Image size 575×575 · single white blood cell cropped from the smear photograph · peripheral blood film: 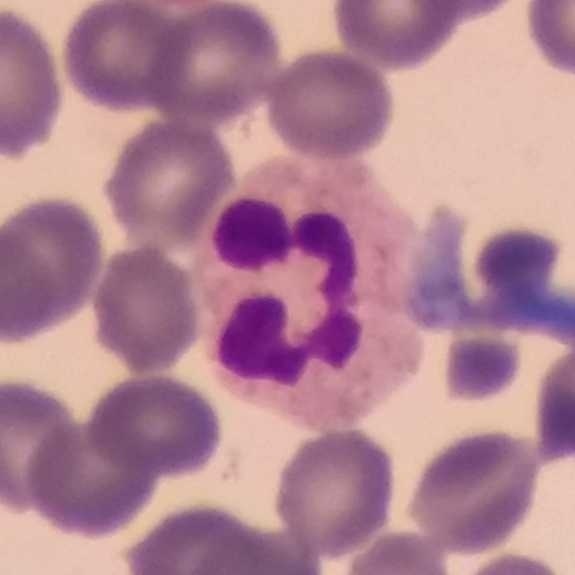

This is a neutrophil.